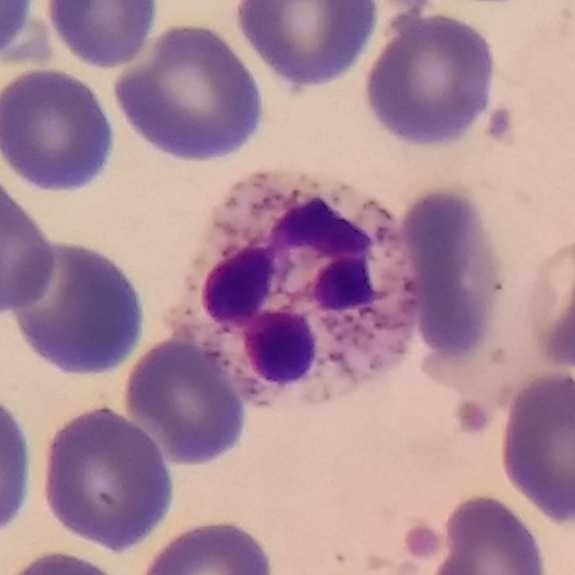
Acquisition: 575×575 px. Peripheral blood smear. Giemsa stain.
Single cell identified as a neutrophil.